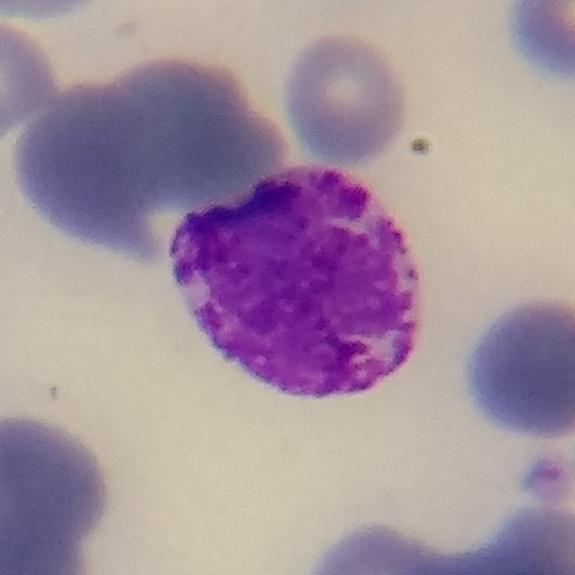 This is a basophilic granulocyte.